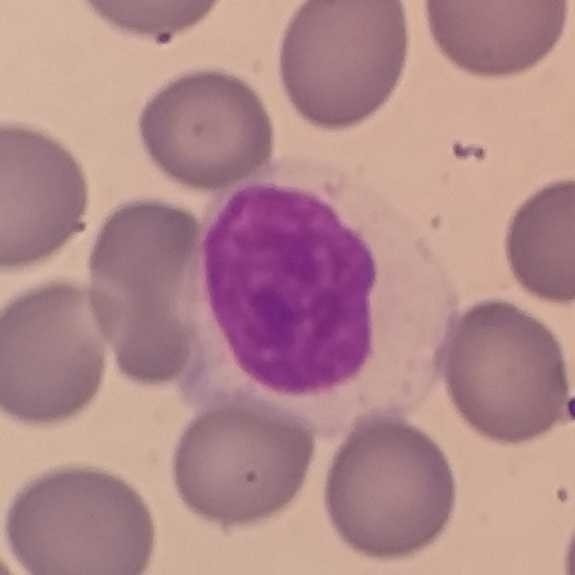

Morphology consistent with a lymphocyte.